Peripheral blood smear: 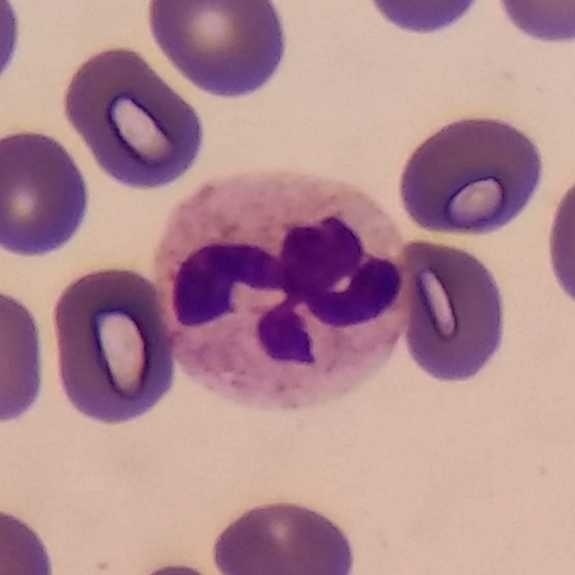Neutrophilic granulocyte.